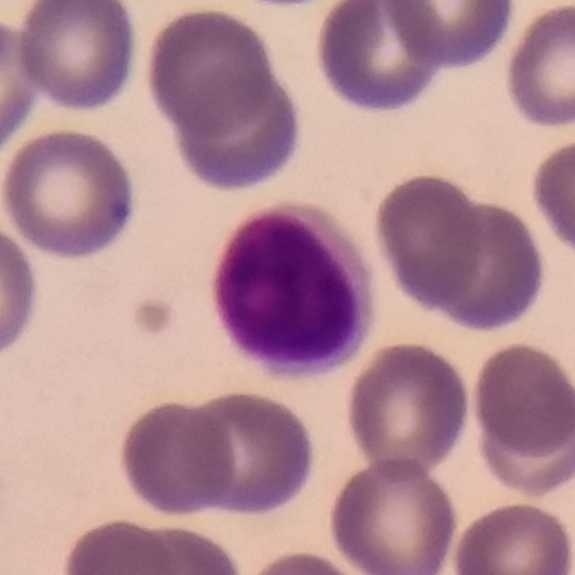Lymphocyte.
Acquisition: Peripheral blood smear.